Imaged at 100× · peripheral blood smear
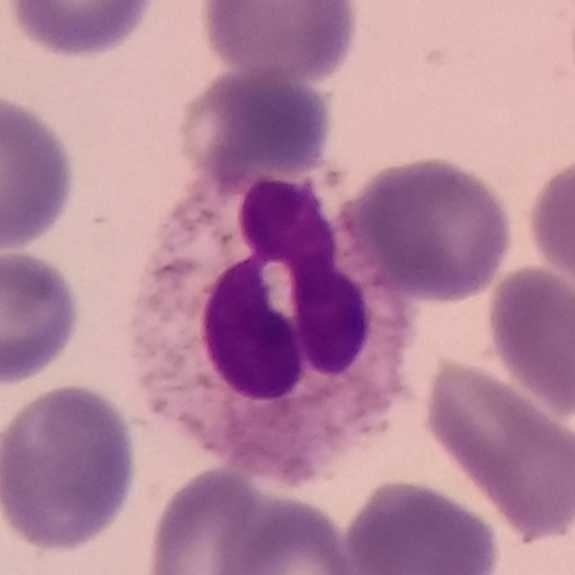
Cell — neutrophil granulocyte.